Peripheral blood smear — 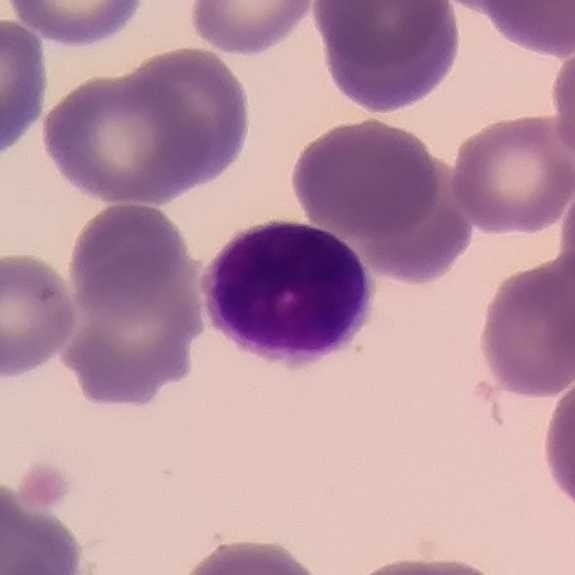
A lymphocyte.